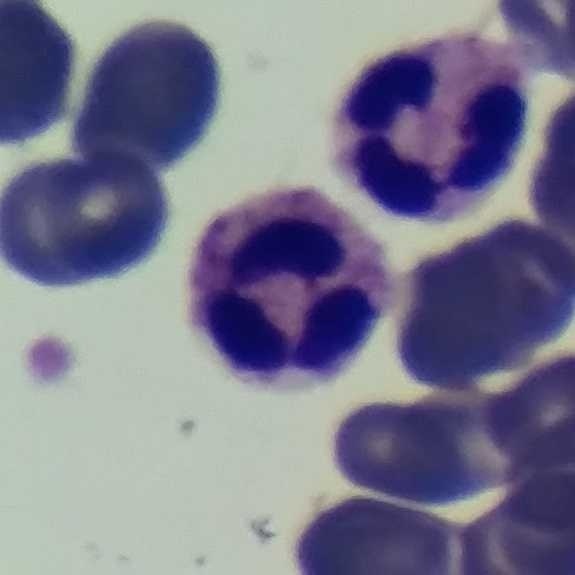

Context: Cropped to one leukocyte; peripheral blood film.
Impression → neutrophilic granulocyte.